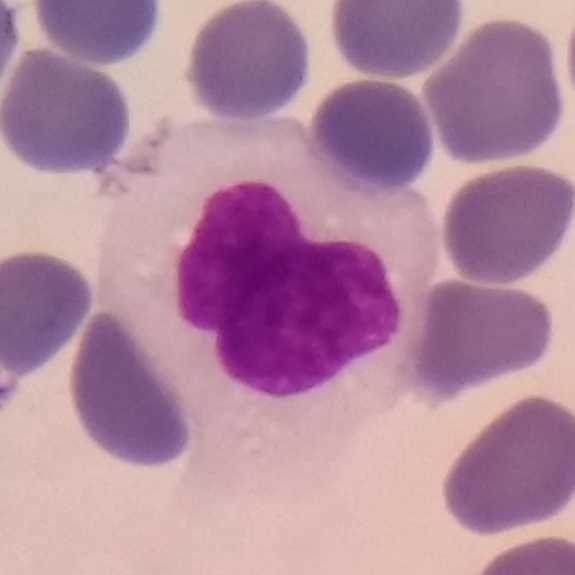Identified as a monocyte.
Image: Magnification 100×; peripheral blood film.